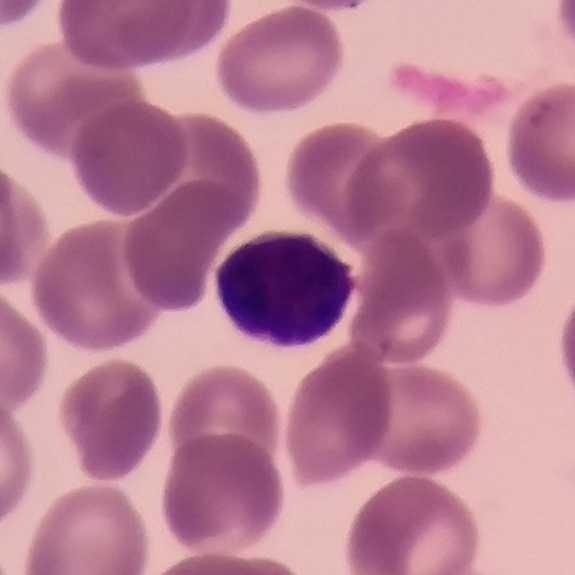

White blood cell type = lymphocyte.